Cropped to one leukocyte · peripheral blood film
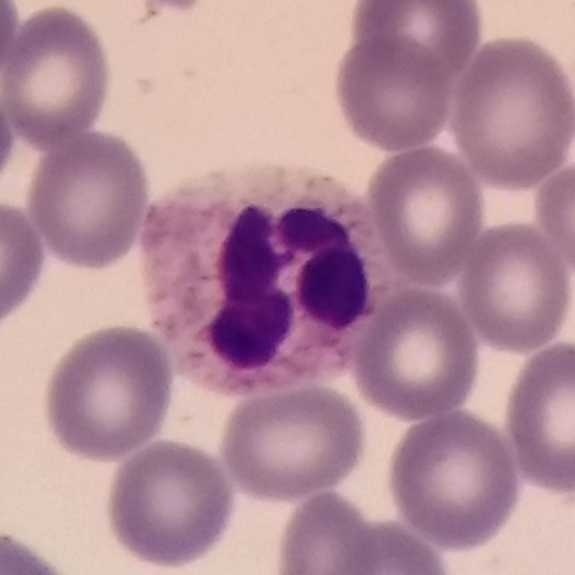
Q: What is shown here?
A: It is a neutrophilic granulocyte.